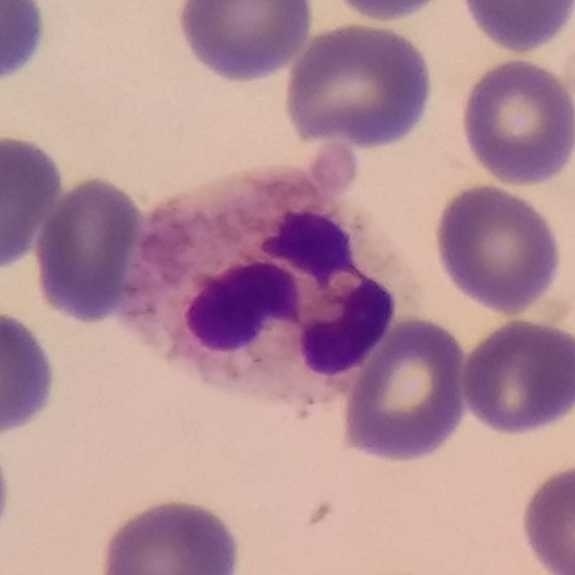
Peripheral blood film, single cell — neutrophil granulocyte.